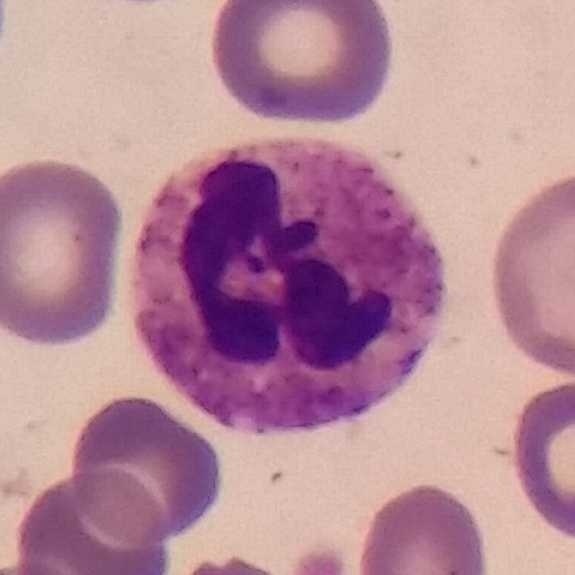 Specimen: peripheral blood smear.
Cell type: neutrophilic granulocyte.